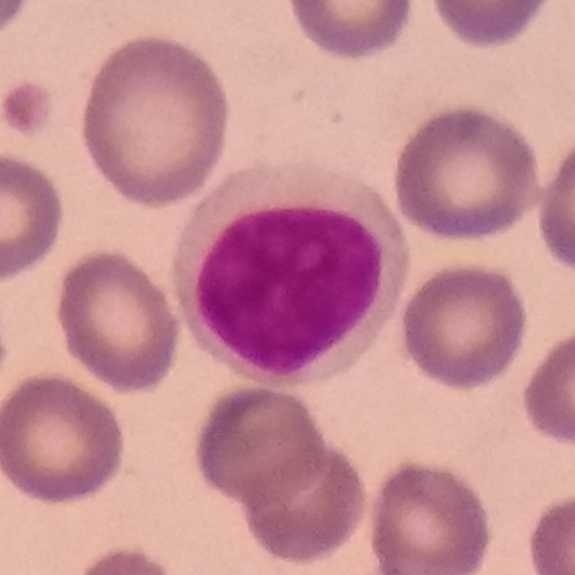

Context: Giemsa-stained · peripheral blood film.
{"cell_type": "lymphocyte", "lineage": "lymphoid"}